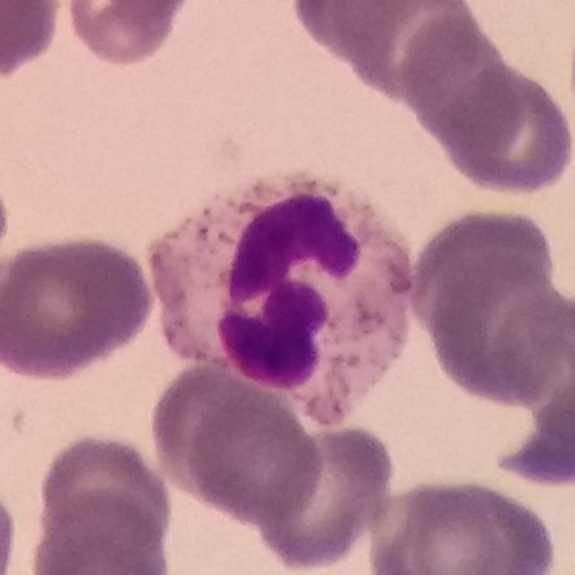 From a peripheral blood smear: a neutrophil granulocyte.